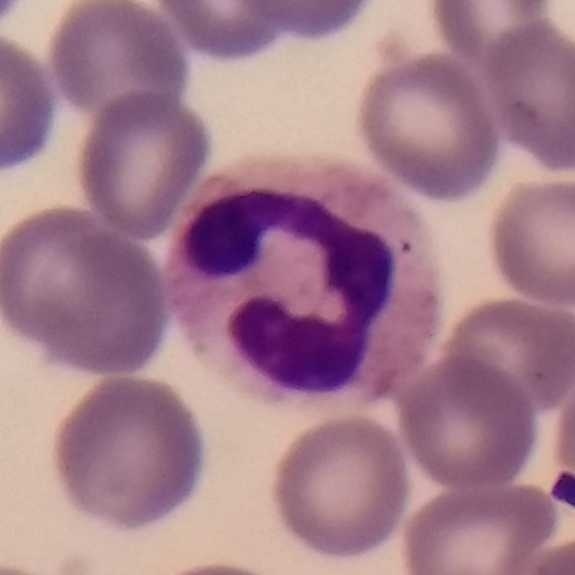

Q: What type of cell is this?
A: This is a neutrophil granulocyte.